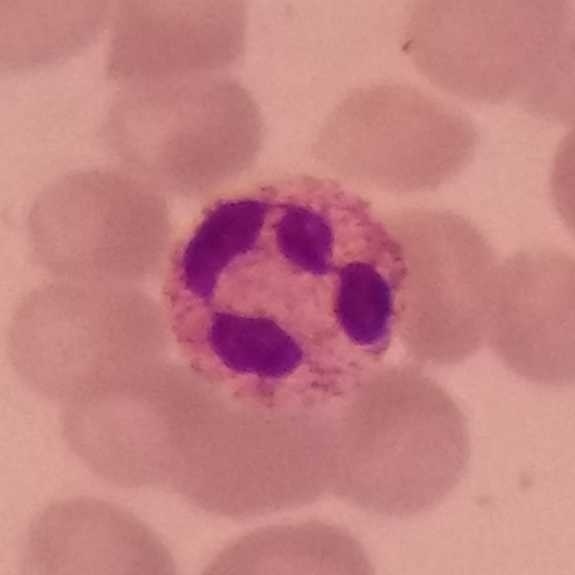
Showing a neutrophil granulocyte. Peripheral blood smear. 575×575 px.